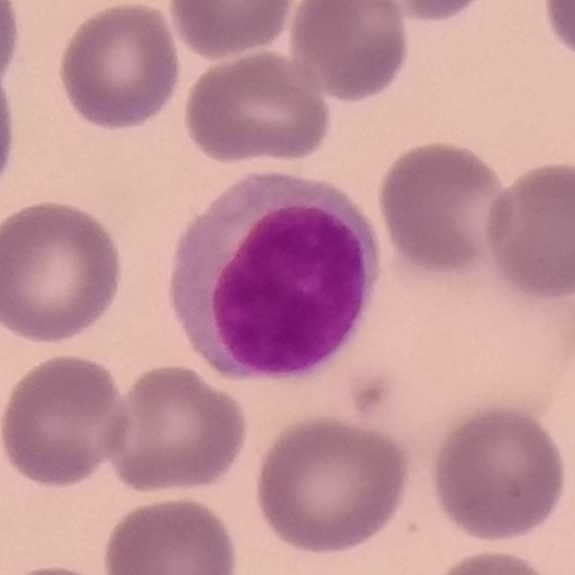
Lymphocyte. Peripheral blood film.